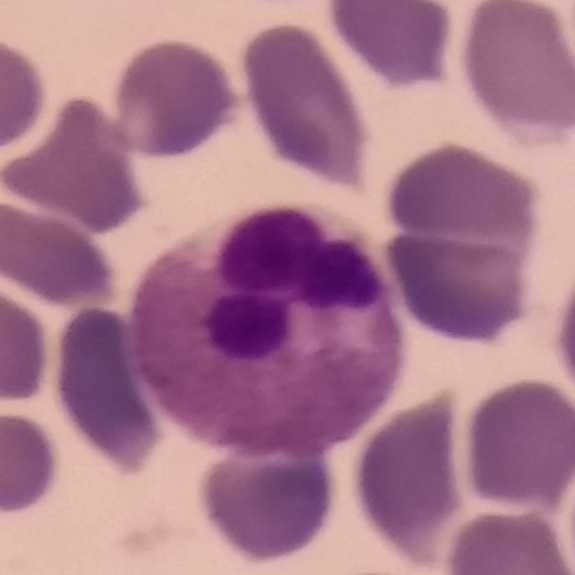 Specimen: peripheral blood film.
Cell: eosinophil.